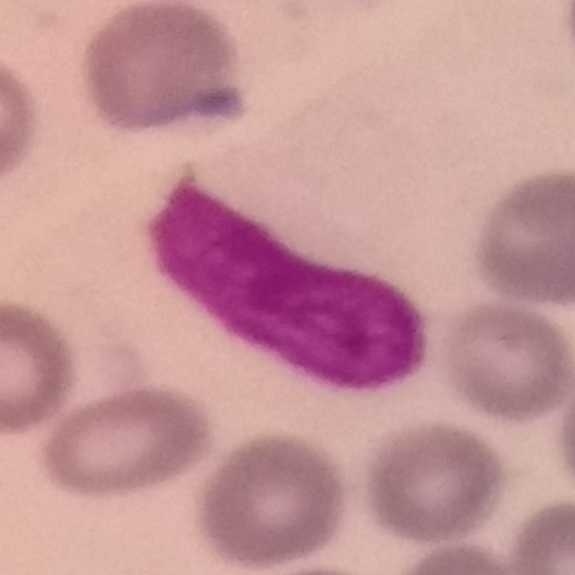

{"cell_type": "monocyte", "lineage": "myeloid"}

Peripheral blood smear.